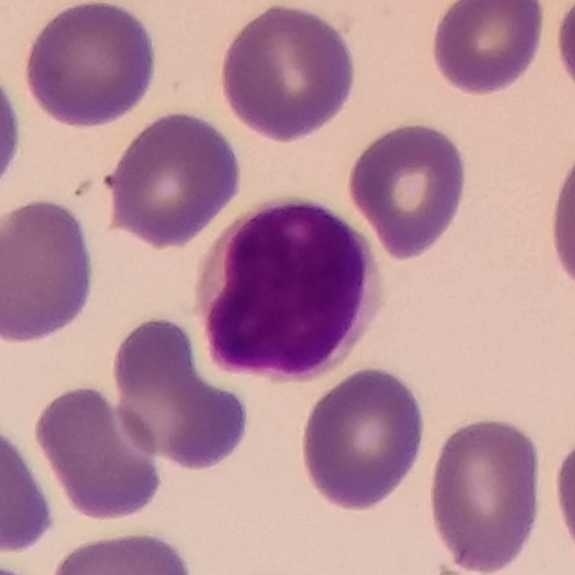
Context: Stained with Giemsa. 575 by 575 pixels. Peripheral blood film. Q: Which cell type is shown here?
A: This is a lymphocyte.